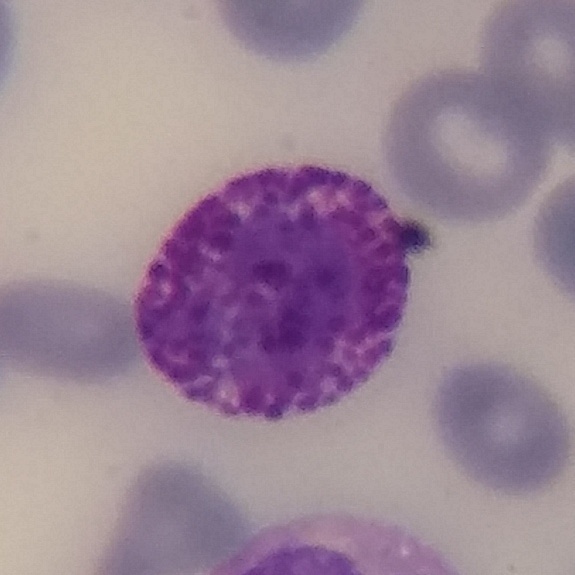

Acquisition: Single white blood cell cropped from the smear photograph; peripheral blood smear.

A basophil.